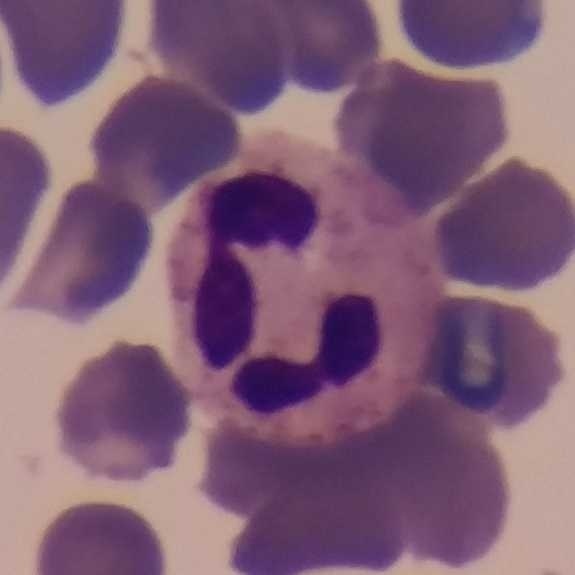Acquisition: Peripheral blood film; imaged at 100×. Showing a neutrophil granulocyte.